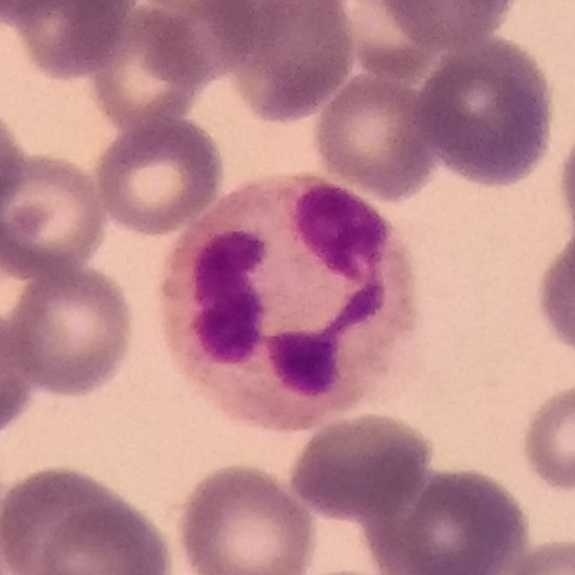

Specimen: peripheral blood smear.
Cell type: neutrophil granulocyte.
Acquisition: 575×575 px.